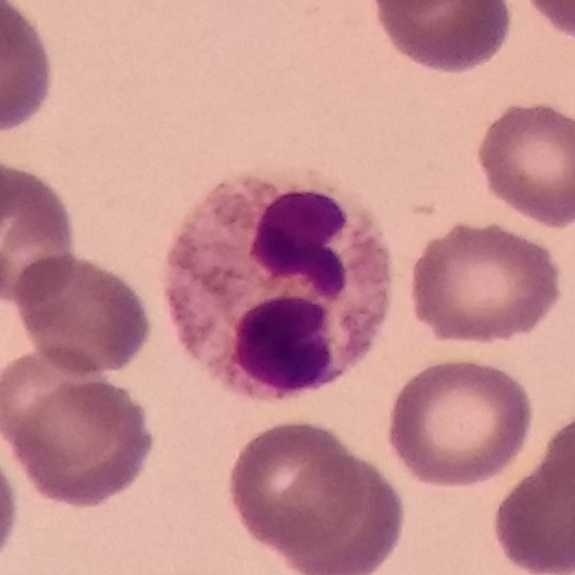 Q: What type of cell is this?
A: This is a neutrophil granulocyte.